Peripheral blood film · Giemsa-stained:
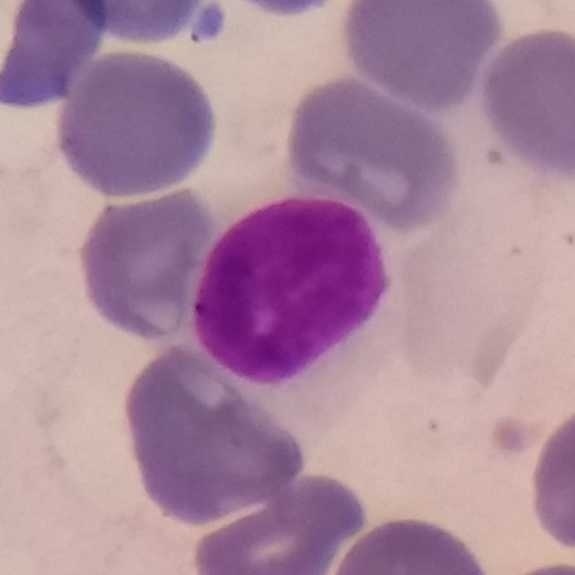

Specimen: peripheral blood film.
Classification: lymphocyte.